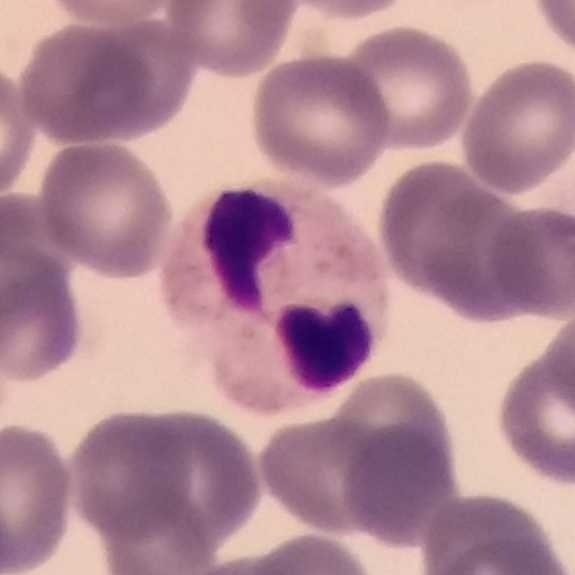
Morphological class: neutrophil granulocyte.